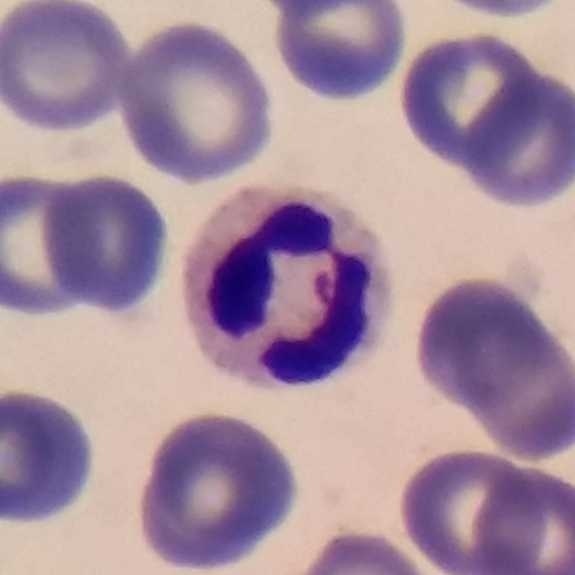 Showing a neutrophil. Single-cell field. Peripheral blood film.